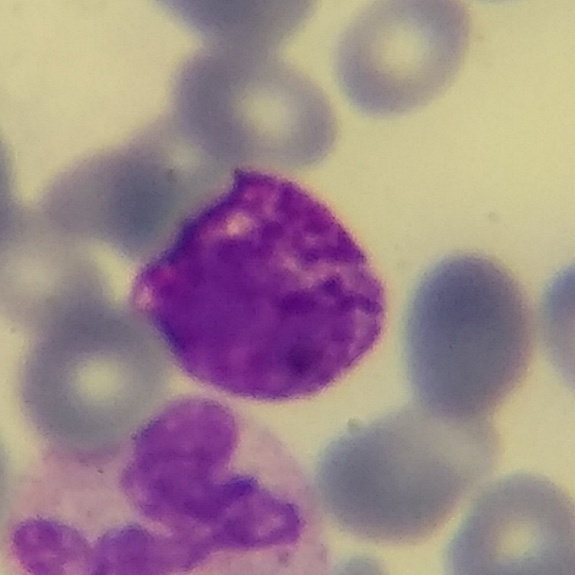 White blood cell from a peripheral blood smear: basophil.